Smartphone photomicrograph. Single-cell field. Peripheral blood smear: 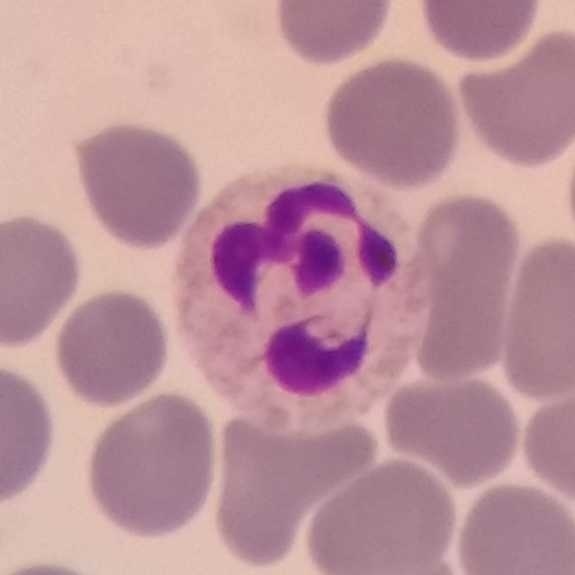 A neutrophil granulocyte.